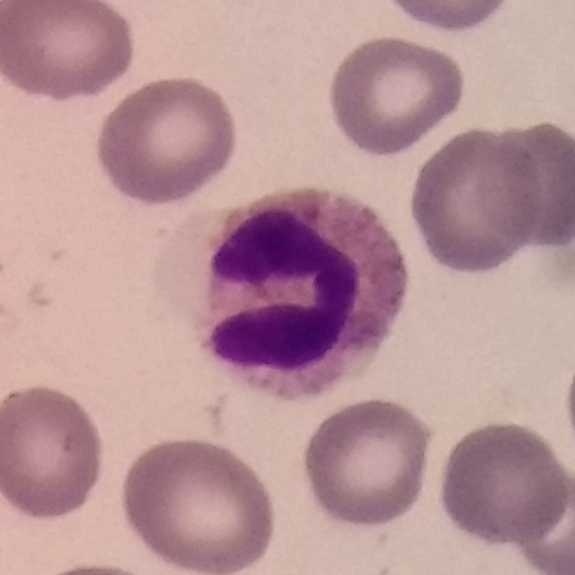
Q: What is this?
A: This is a neutrophil.